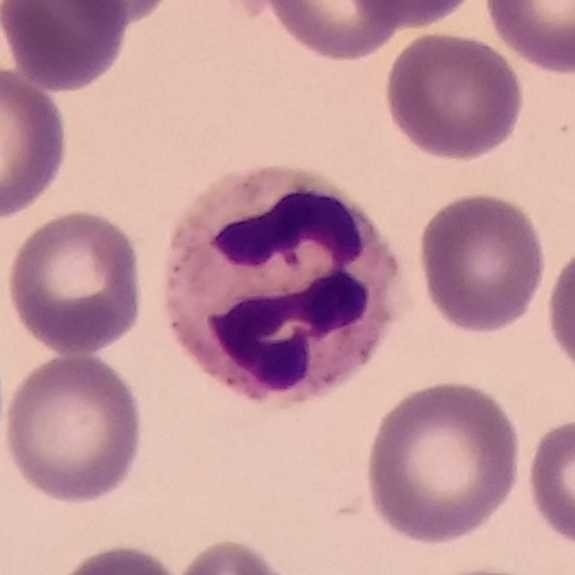
Peripheral blood film · smartphone photomicrograph.

Q: What cell is this?
A: A neutrophilic granulocyte.